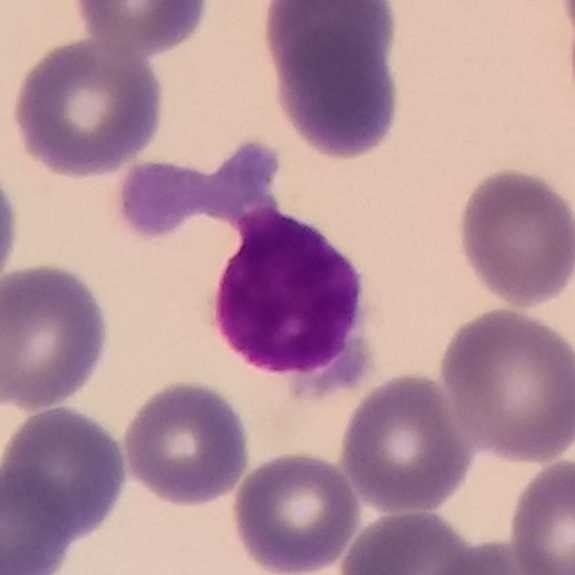

Acquisition: Magnification 100×. Cropped to one leukocyte. Peripheral blood smear.
Q: What is shown here?
A: It is a lymphocyte.